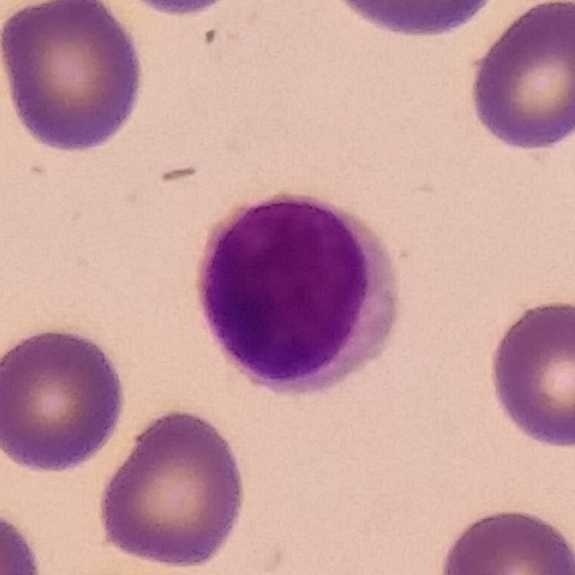

The white blood cell in this image is a lymphocyte.